Cropped to one leukocyte · peripheral blood smear · image size 575×575: 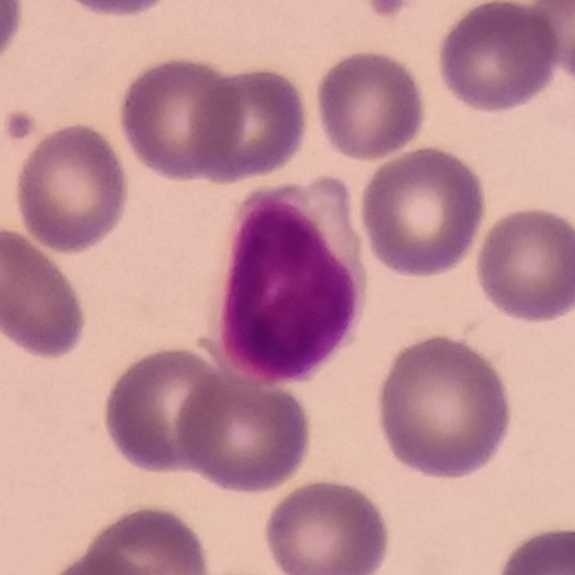 Q: What is shown here?
A: Lymphocyte.